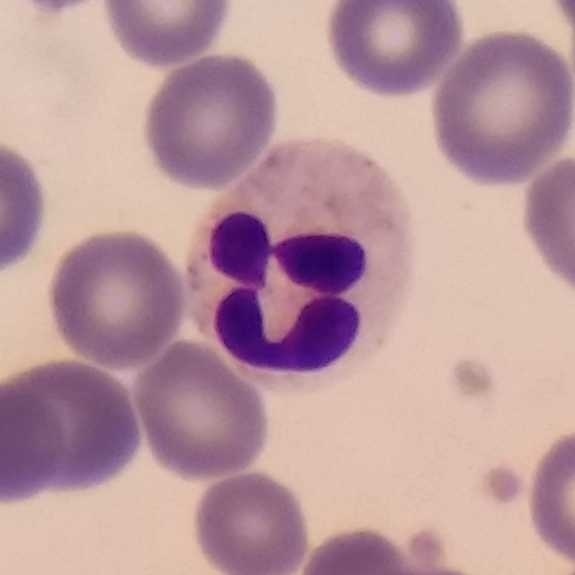
Magnification 100× · peripheral blood smear.

Morphology consistent with a neutrophilic granulocyte.